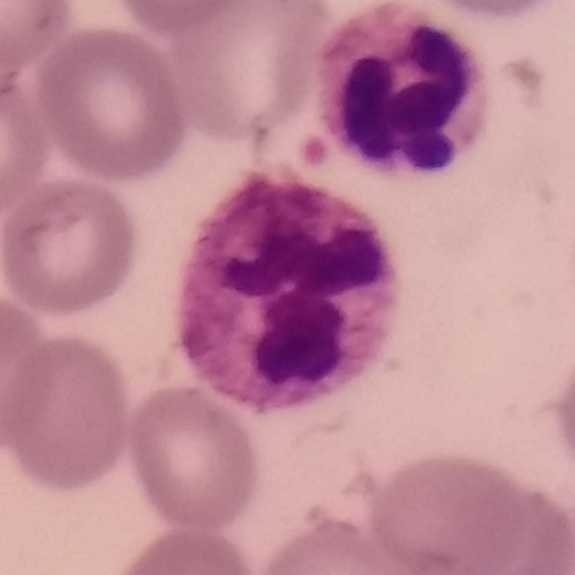The white blood cell in this image is a neutrophil.

Preparation: Peripheral blood smear; 100× magnification.